100× magnification. Peripheral blood film
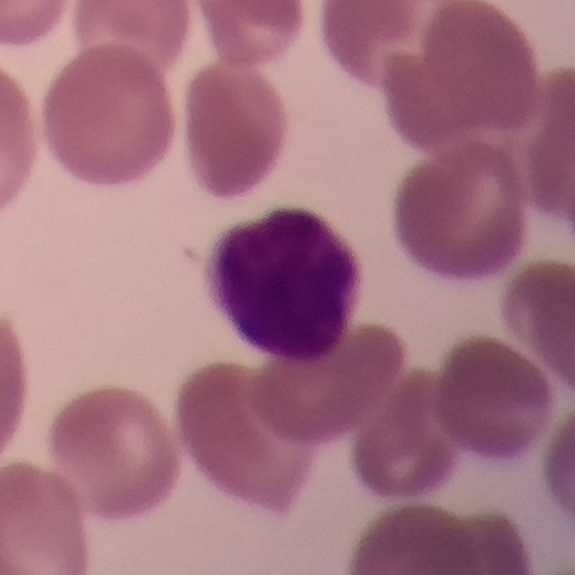

The cell shown is a lymphocyte.